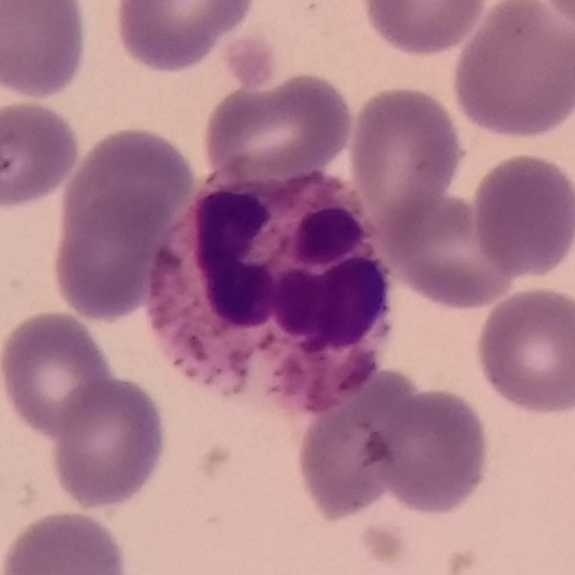Morphology — neutrophil.